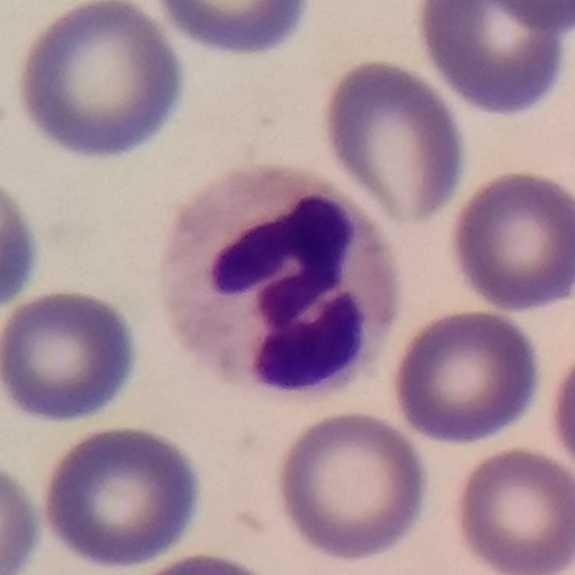 Image: Peripheral blood smear. Stained with Giemsa. The cell shown is a neutrophil granulocyte.